Giemsa stain · peripheral blood film.
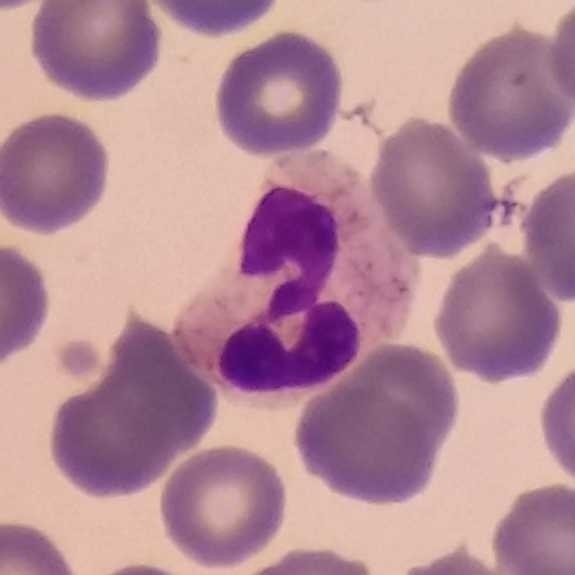Specimen: peripheral blood smear.
Morphological class: neutrophil granulocyte.
Lineage: myeloid.